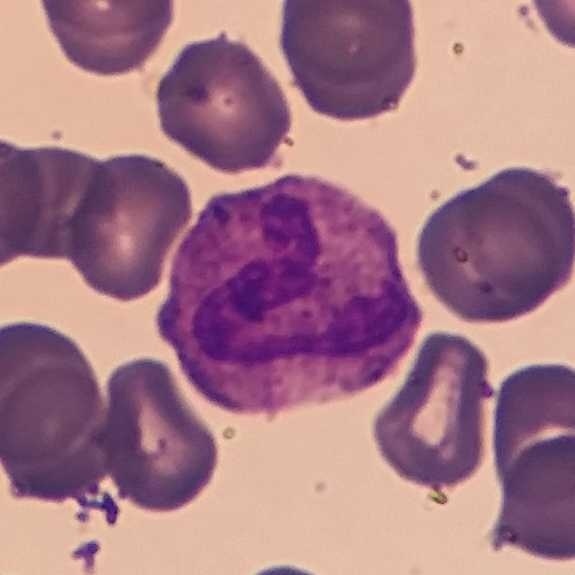

The morphological class is neutrophil granulocyte.